Peripheral blood film — 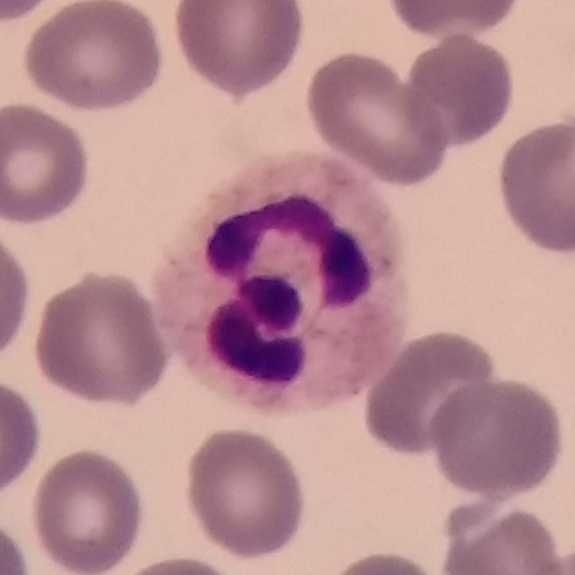
Impression — neutrophilic granulocyte.